Peripheral blood smear — 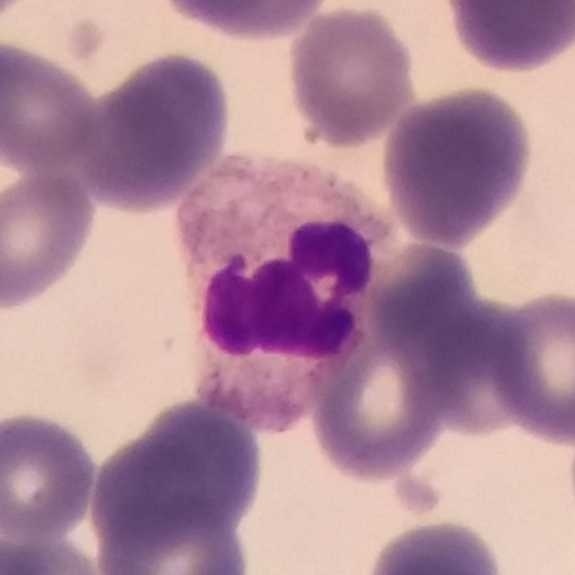 Morphology → neutrophilic granulocyte.